Photographed through a light microscope with a smartphone camera. Peripheral blood film:
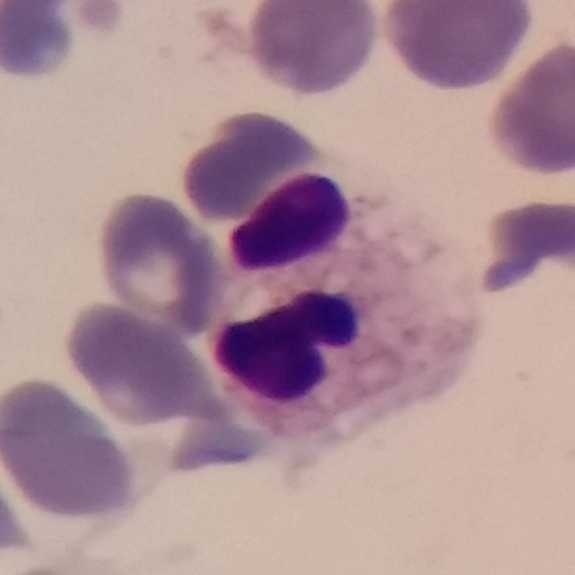
Morphology consistent with a neutrophil granulocyte.